Peripheral blood film: 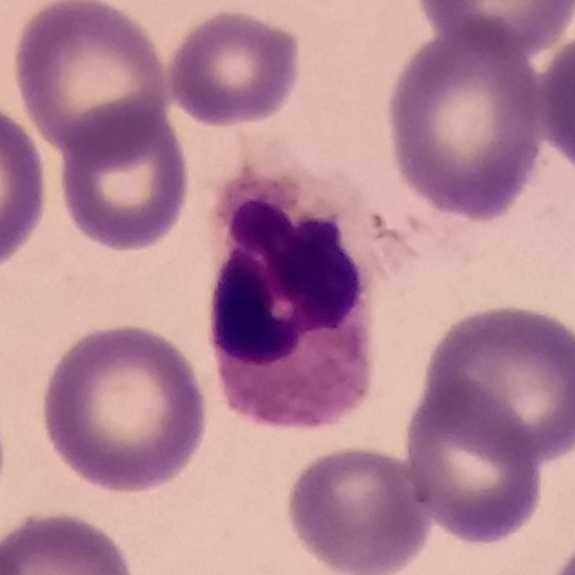
Identified as a neutrophil.